Peripheral blood smear. Image size 575×575: 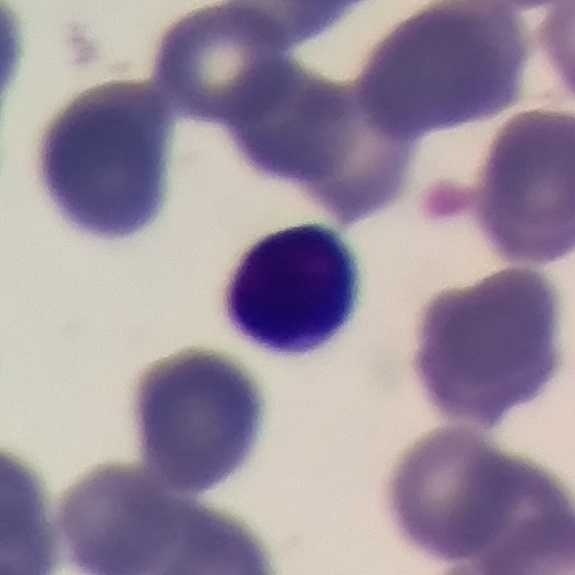 Morphology consistent with a lymphocyte.